Peripheral blood smear · magnification 100× — 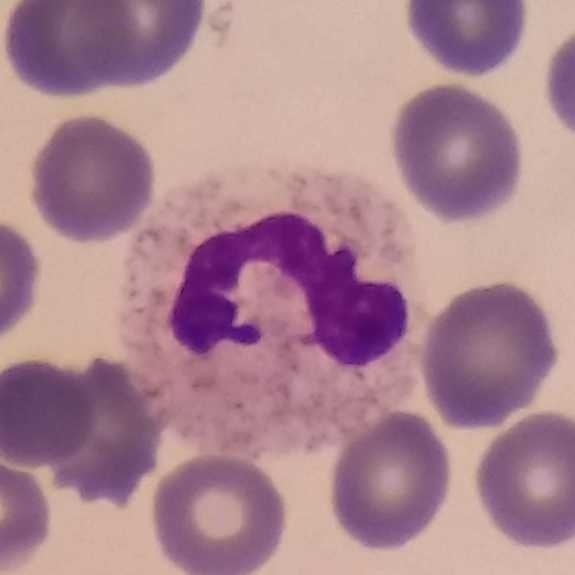 Classification: neutrophil granulocyte.